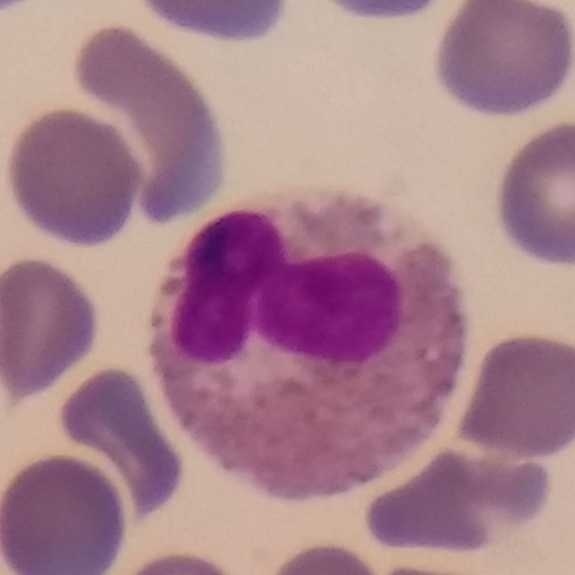

Single-cell crop from a peripheral blood smear: eosinophil.